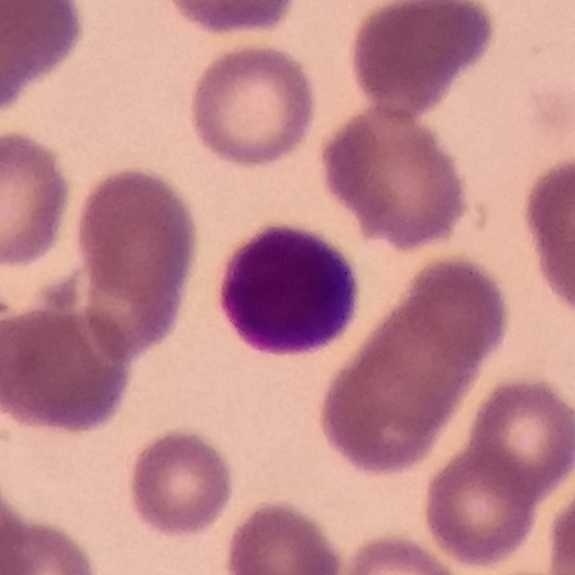
Impression — lymphocyte.